575×575 px · peripheral blood smear
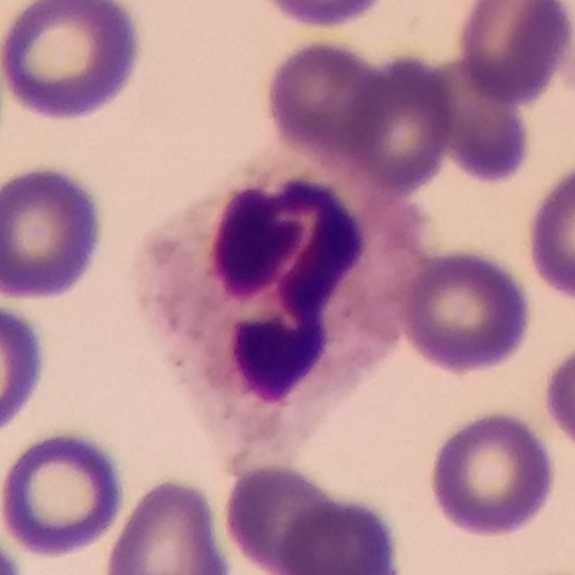 Morphology → neutrophil.